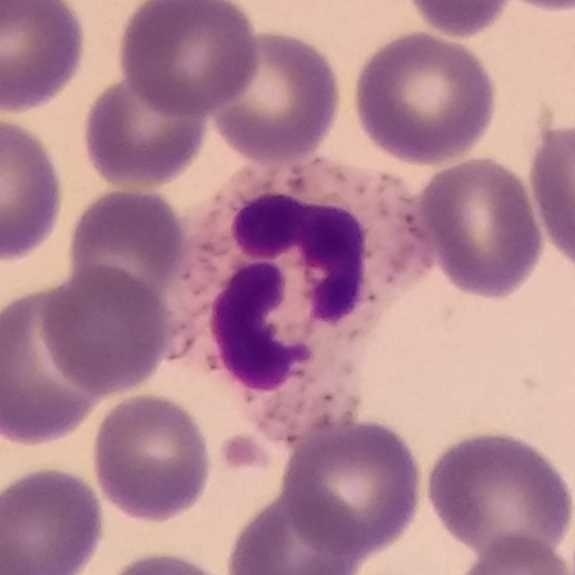

Q: Which type of white blood cell is this?
A: Neutrophil.
Image: Giemsa-stained; image size 575×575; peripheral blood smear.